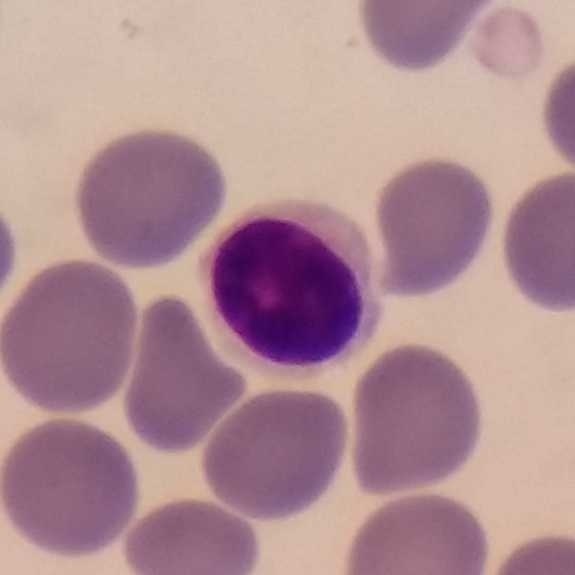Image: Peripheral blood smear · 575×575 px. Impression → lymphocyte.